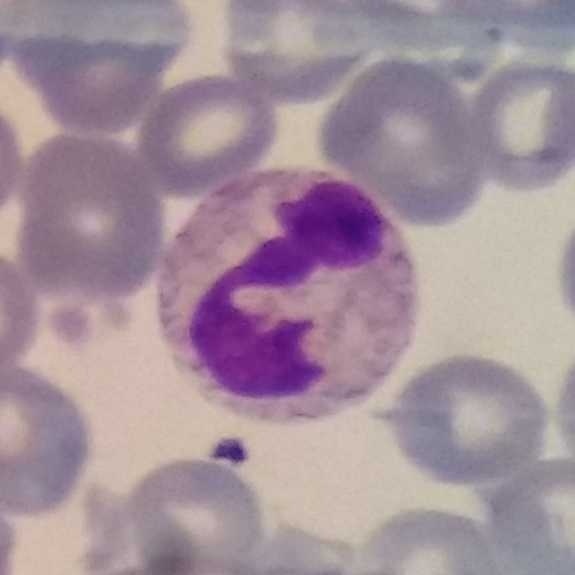Cell — neutrophilic granulocyte.